Single white blood cell cropped from the smear photograph. Peripheral blood smear.
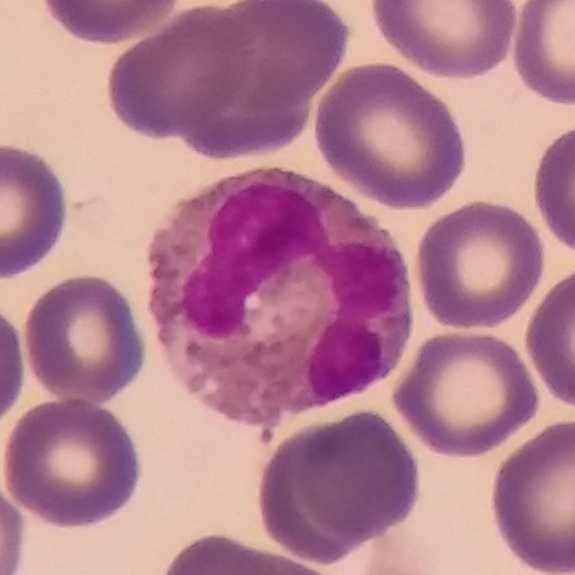
The cell is eosinophilic granulocyte.